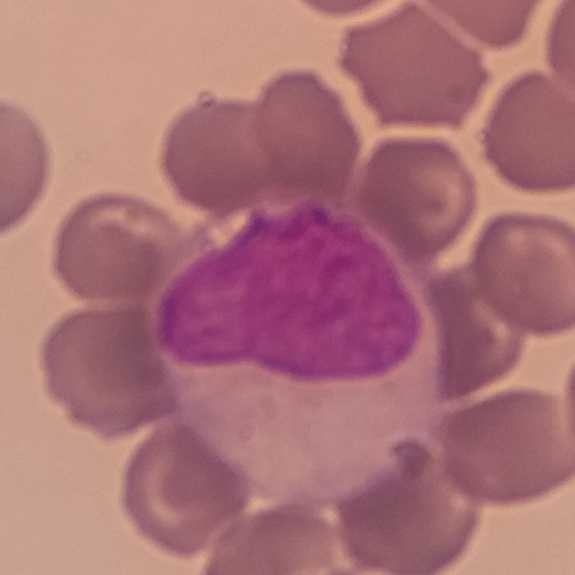

Q: Which type of white blood cell is this?
A: It is a monocyte.